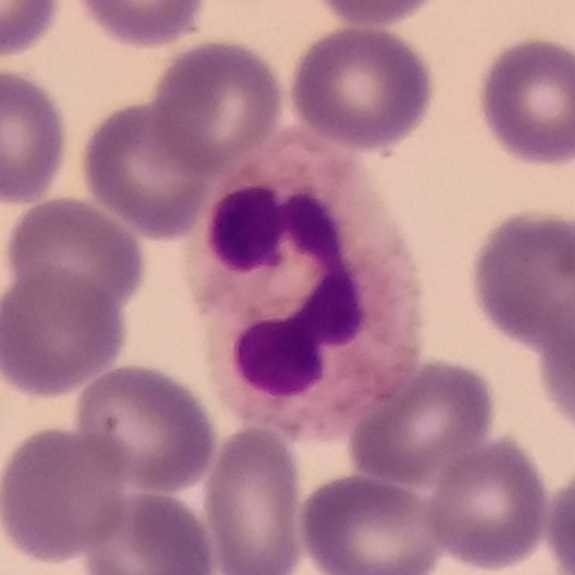
Morphology — neutrophil.
Image: Peripheral blood film.